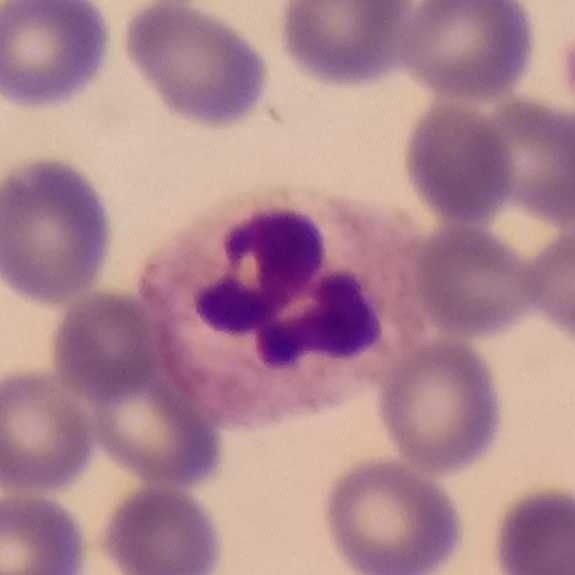

Specimen: peripheral blood film.
Cell: neutrophil granulocyte.
Lineage: myeloid.